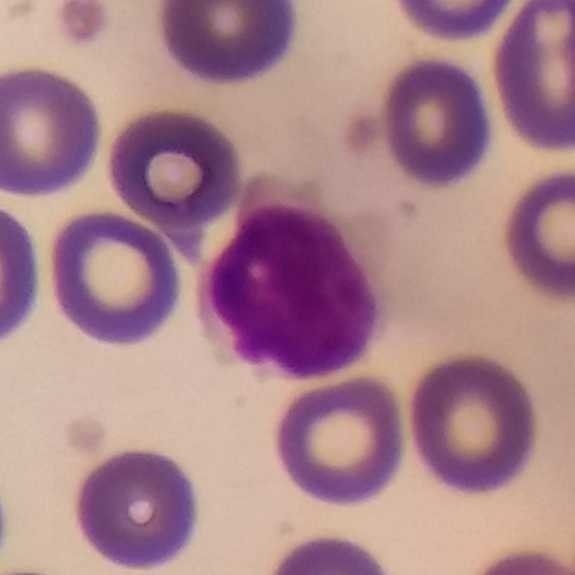 The cell shown is a lymphocyte.
Context: Giemsa-stained · peripheral blood smear.